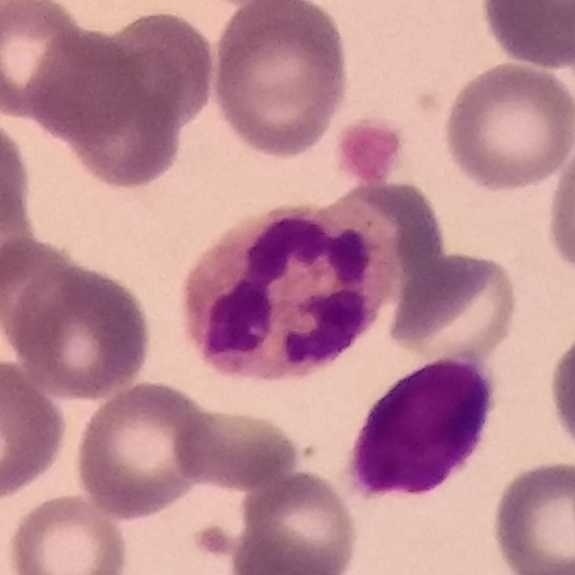This is a neutrophil. Preparation: Peripheral blood film.